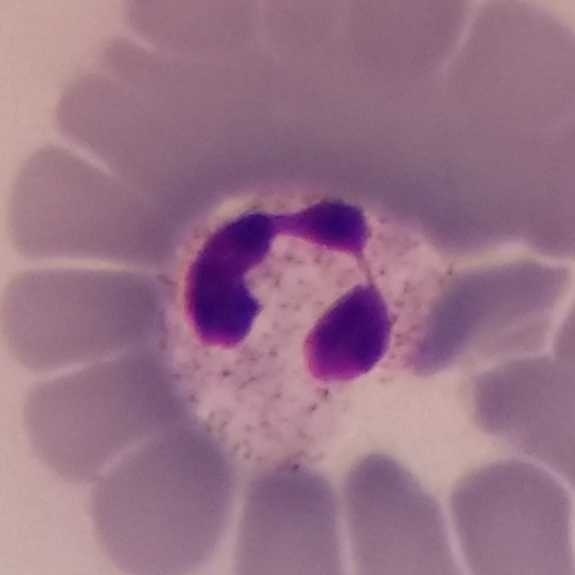Acquisition: Peripheral blood smear. Single cell identified as a neutrophilic granulocyte.